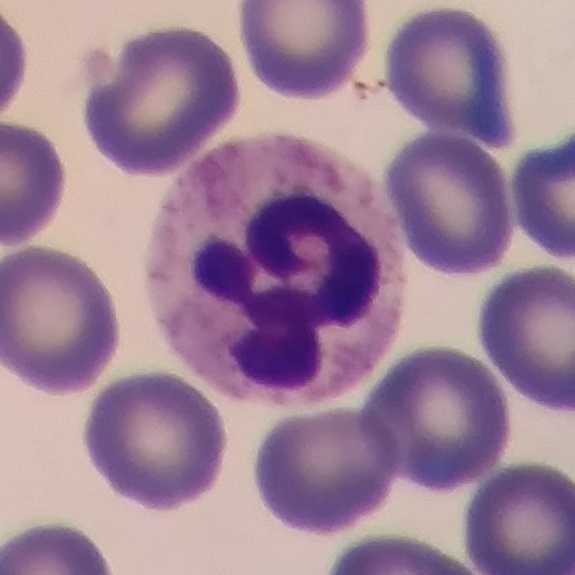

Single cell identified as a neutrophil.
Acquisition: Peripheral blood smear.